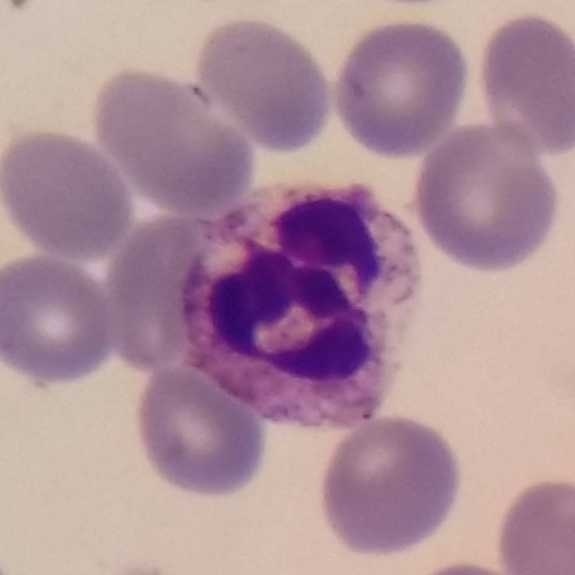

The cell is neutrophilic granulocyte.

Acquisition: Stained with Giemsa · peripheral blood film.